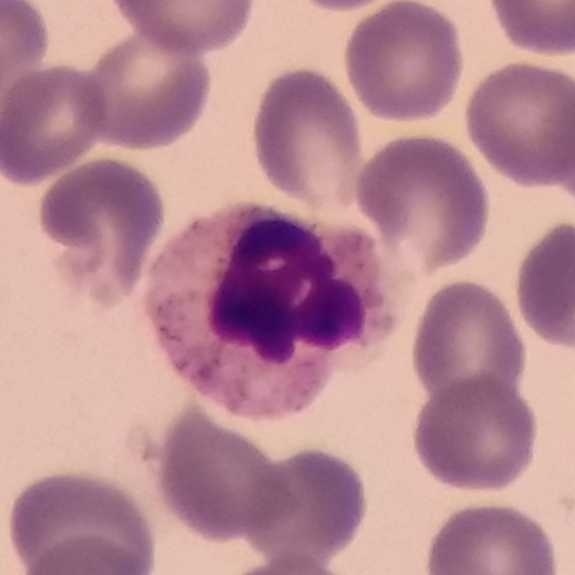
The cell is neutrophil.

Context: Peripheral blood smear · Giemsa-stained · single-cell crop.